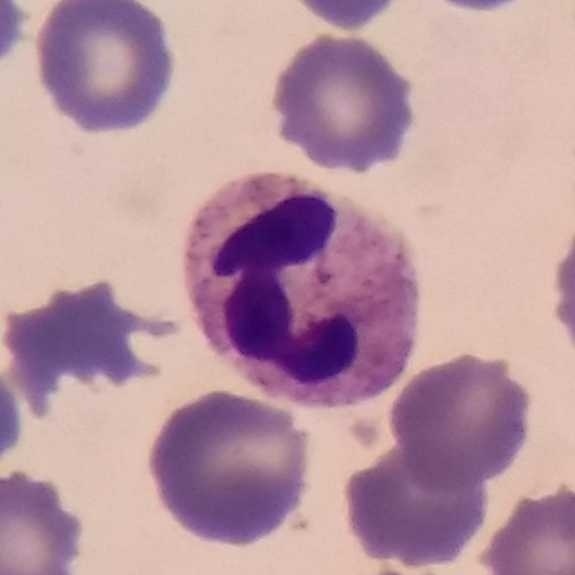Impression — neutrophil granulocyte. Acquisition: Peripheral blood film.